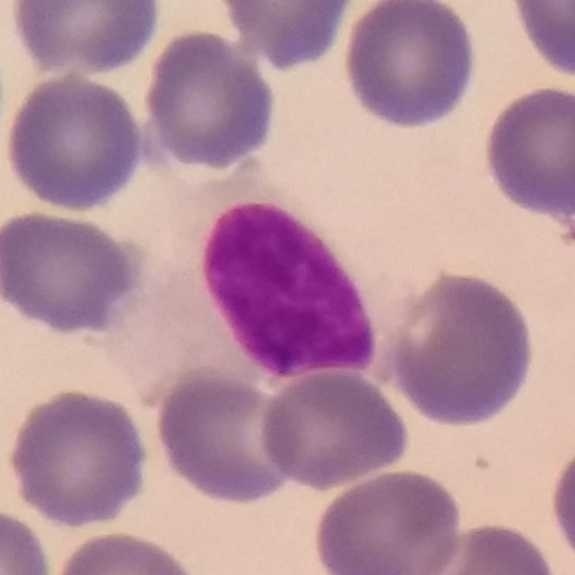 Specimen: peripheral blood smear.
Classification: lymphocyte.